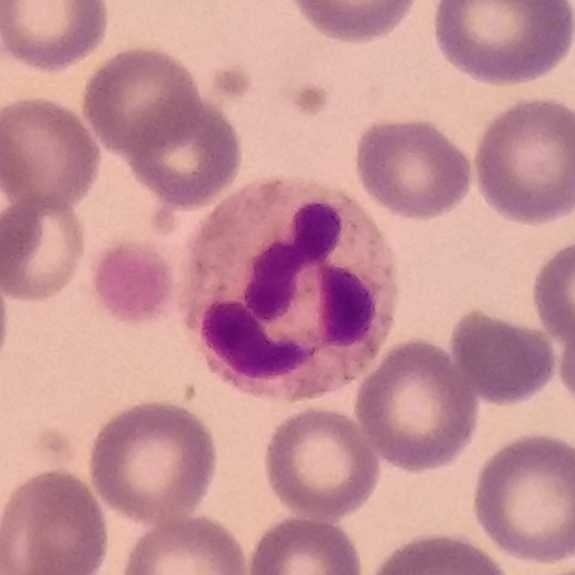 Image: Peripheral blood film.

Q: Identify the cell.
A: It is a neutrophil.